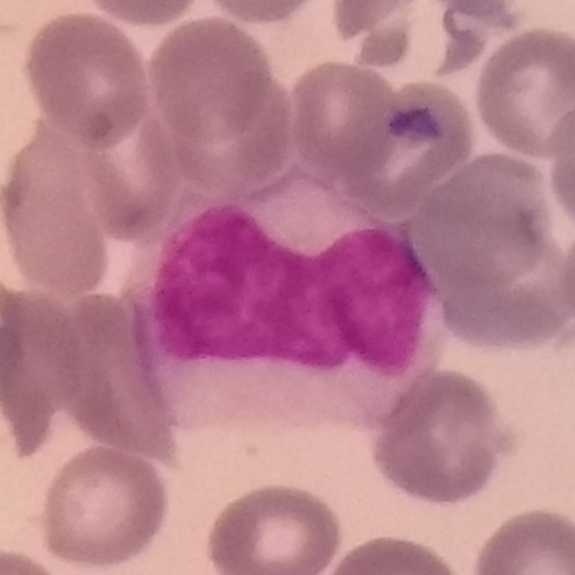 From a peripheral blood smear: a monocyte.